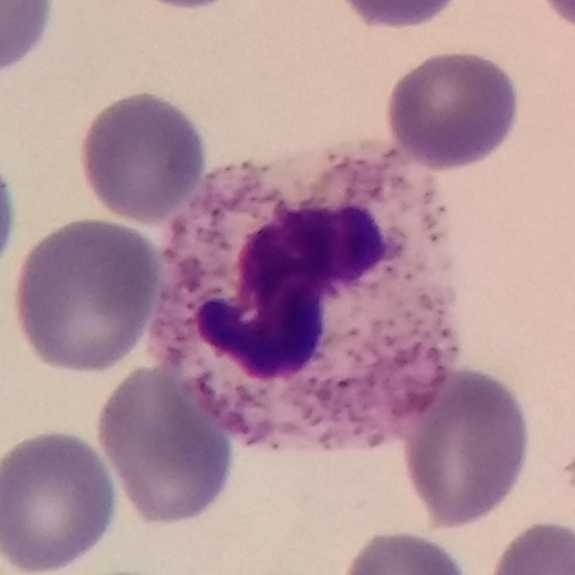

Q: Classify this leukocyte.
A: It is a neutrophilic granulocyte. Peripheral blood smear · image size 575×575.